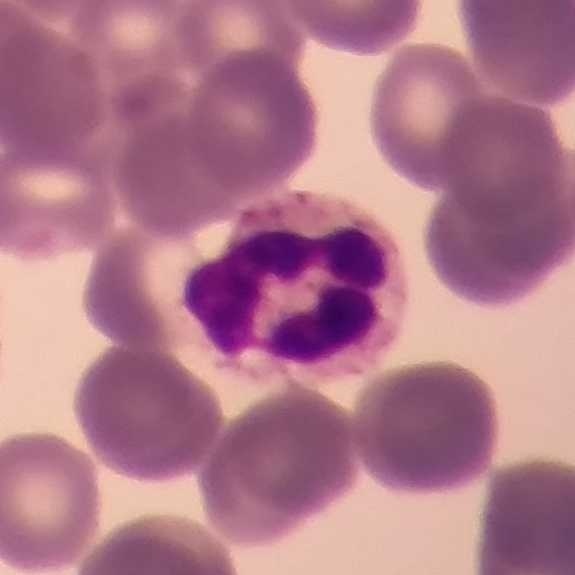Image: Peripheral blood film; stained with Giemsa. {"cell_type": "neutrophilic granulocyte", "lineage": "myeloid"}